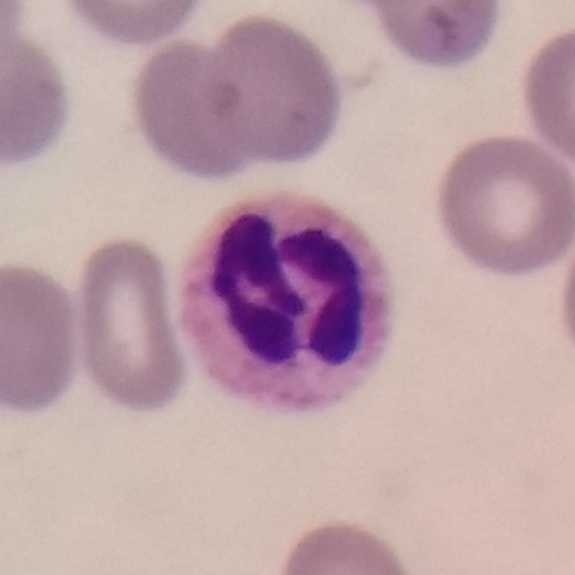
Specimen: peripheral blood film.
Cell type: neutrophilic granulocyte.
Lineage: myeloid.